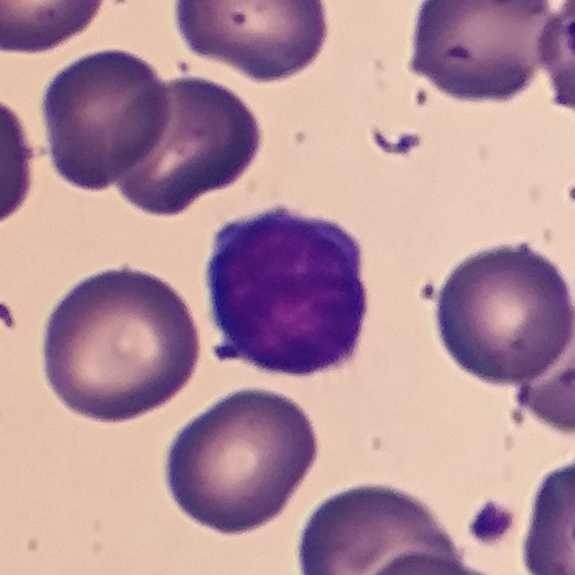 Classification: lymphocyte.